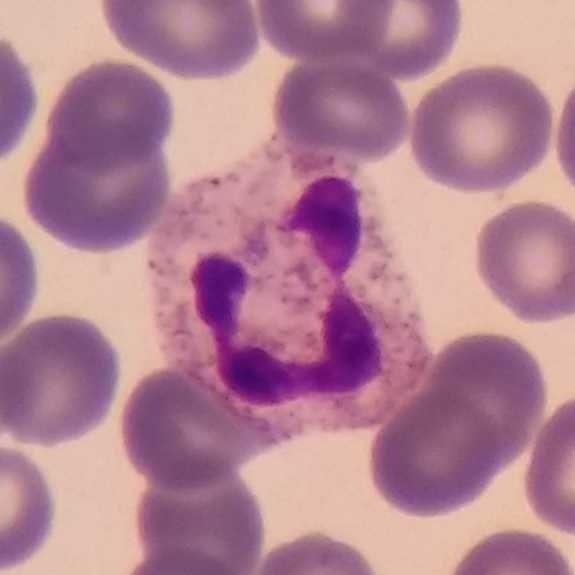
Peripheral blood film, single cell — neutrophil granulocyte.